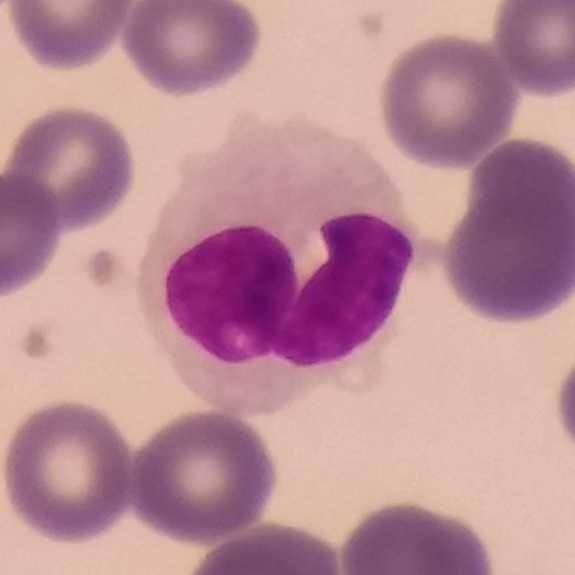
Specimen: peripheral blood smear.
Cell: monocyte.

Context: Photographed through a light microscope with a smartphone camera.